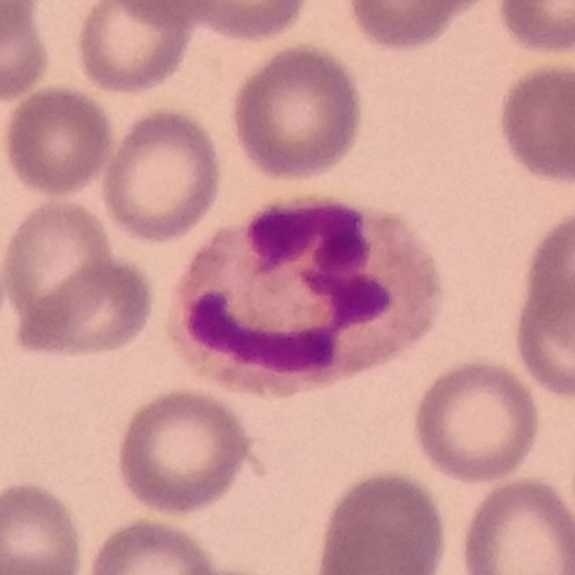Cell = neutrophil.